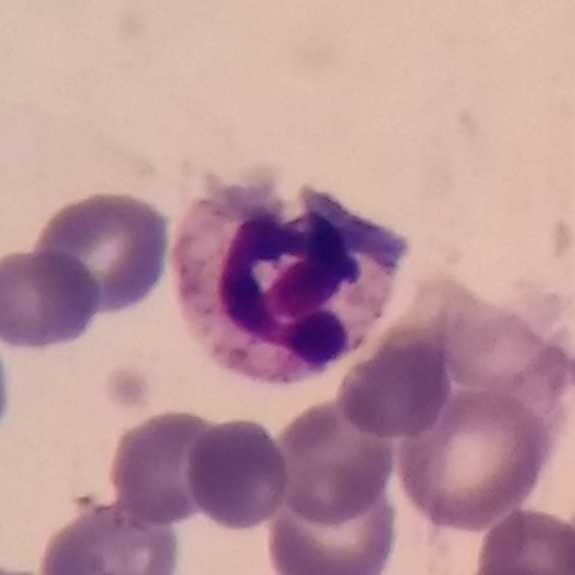Image: Peripheral blood film.
Identified as a neutrophil.